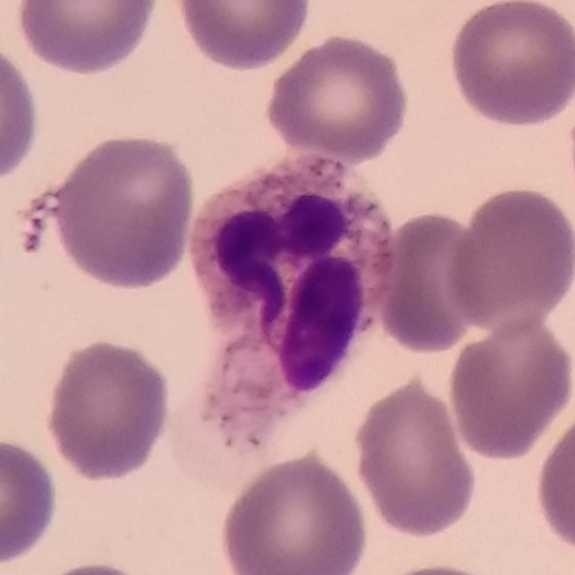
Morphology consistent with a neutrophil. Preparation: Smartphone photomicrograph · peripheral blood smear.